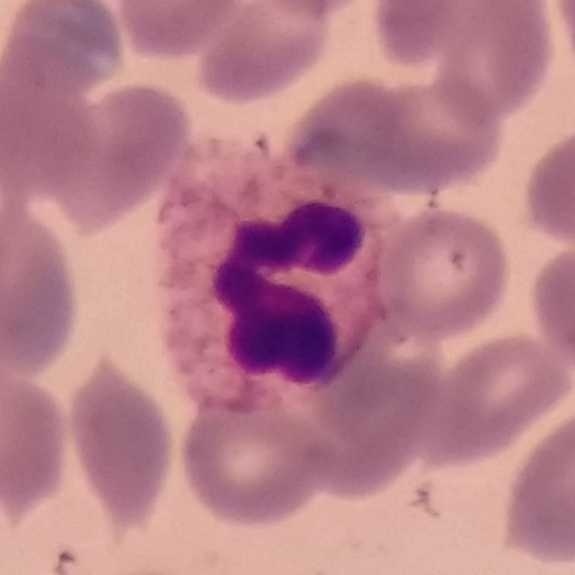

Impression → neutrophilic granulocyte.